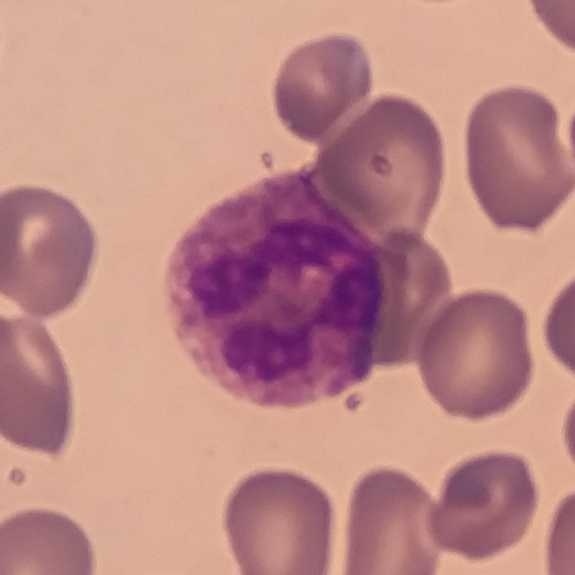
White blood cell from a peripheral blood smear: neutrophil granulocyte.